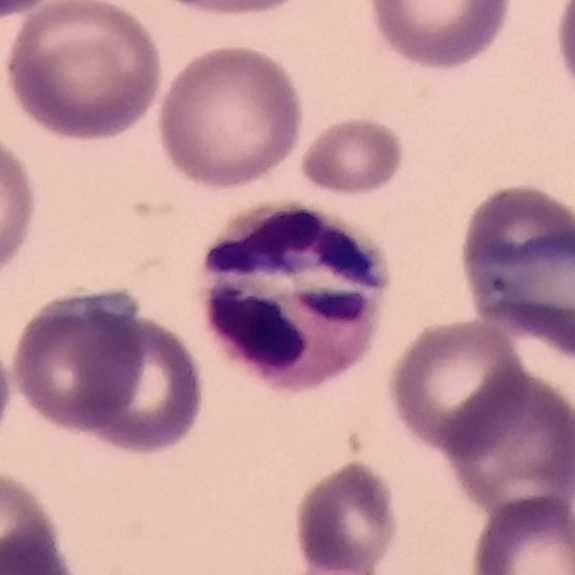Preparation: Giemsa stain; peripheral blood film.
{"cell_type": "neutrophil"}